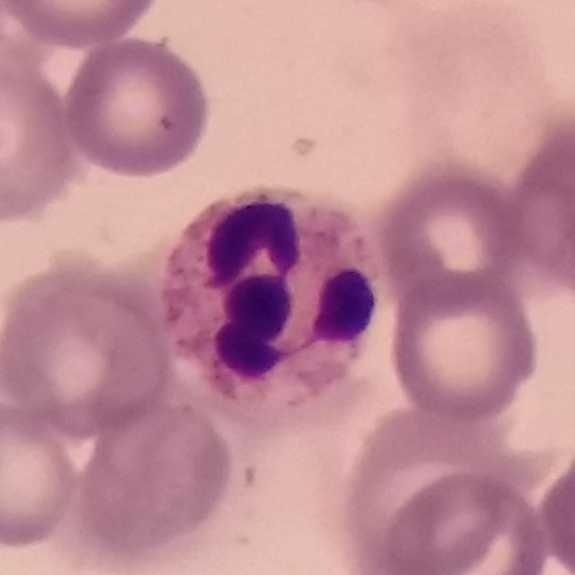 Identified as a neutrophilic granulocyte.
Preparation: Peripheral blood smear.